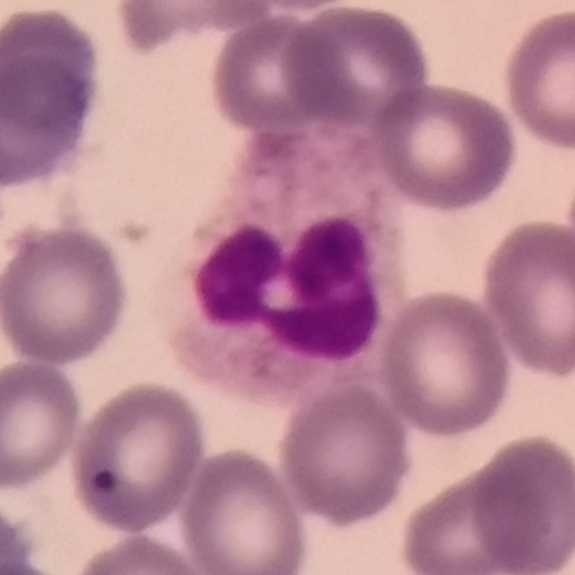Specimen: peripheral blood film.
White blood cell type: neutrophil granulocyte.